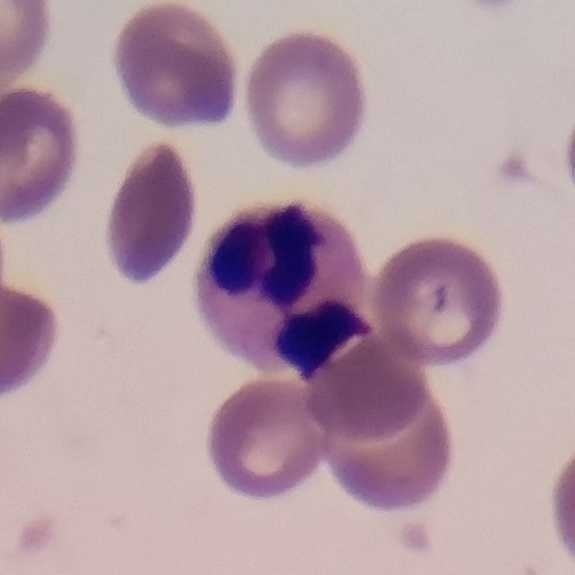 This is a neutrophil. Peripheral blood film.